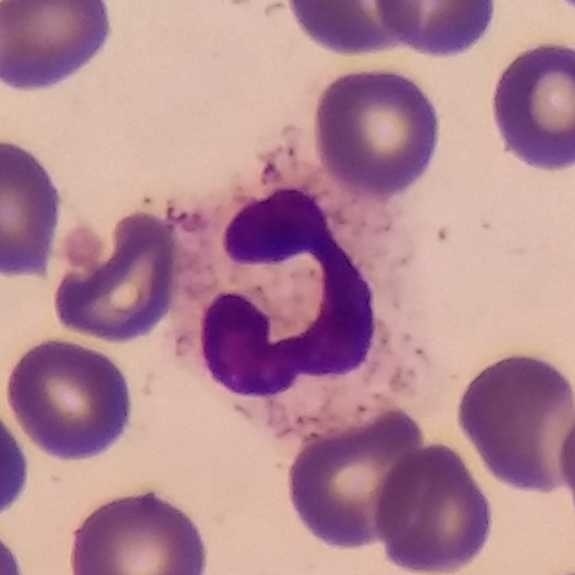 Acquisition: Peripheral blood smear.

This is a neutrophilic granulocyte.